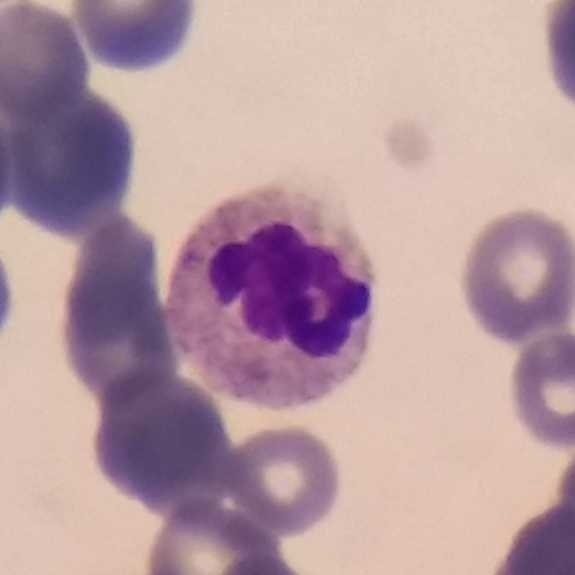

Morphology → neutrophil granulocyte.

Context: Peripheral blood film.